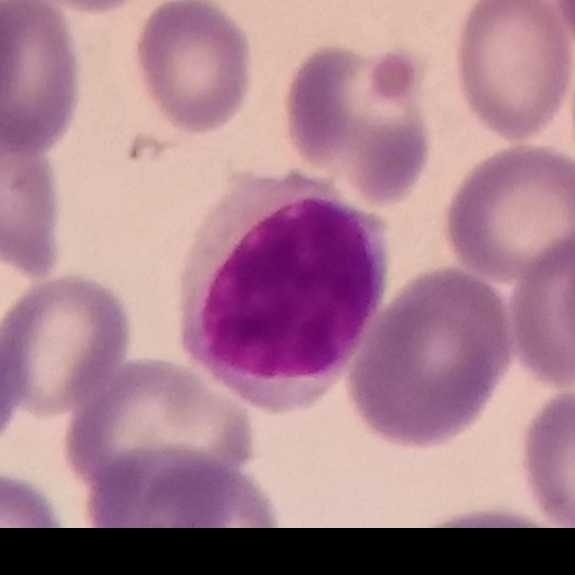

Image: 575×575. Peripheral blood film.

White blood cell type — lymphocyte.